Peripheral blood smear.
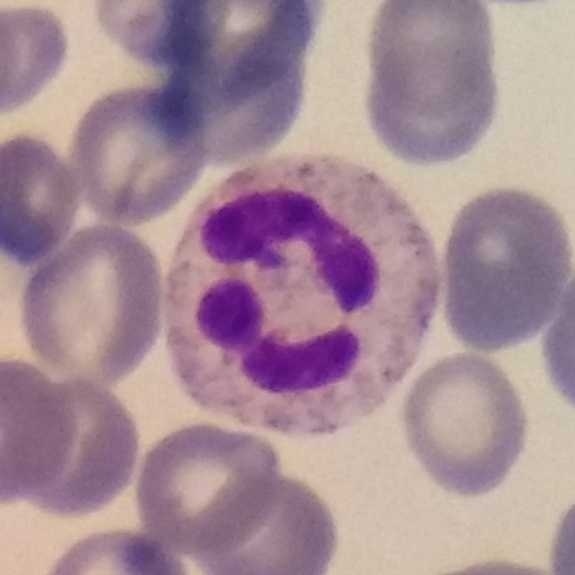
Q: Which type of white blood cell is this?
A: It is a neutrophil granulocyte.